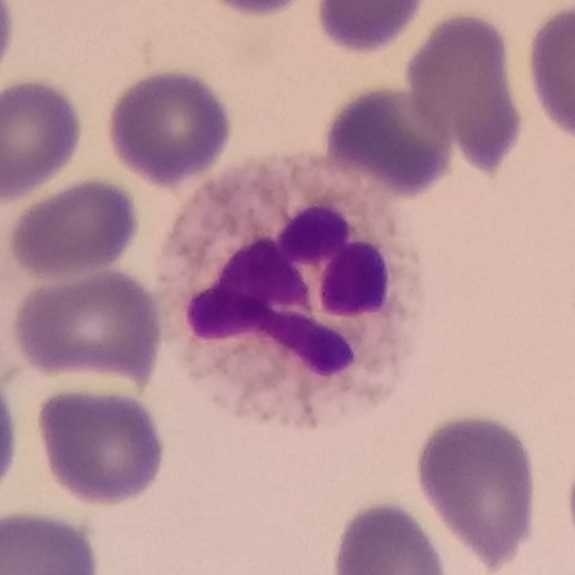 Morphological class = neutrophilic granulocyte.